575×575 px; peripheral blood smear: 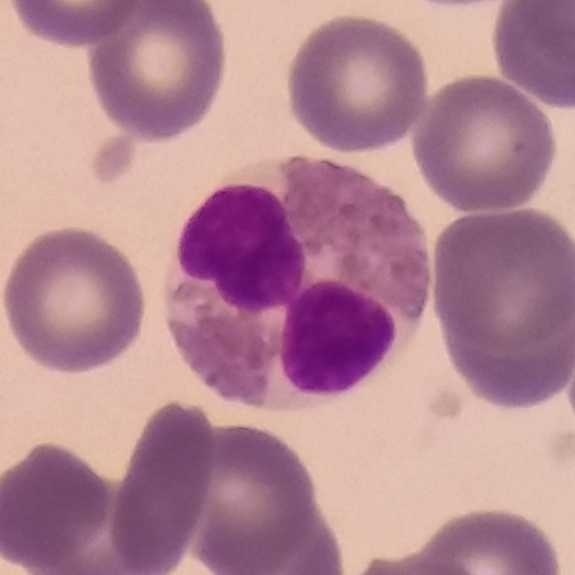
Q: What is this?
A: It is an eosinophilic granulocyte.